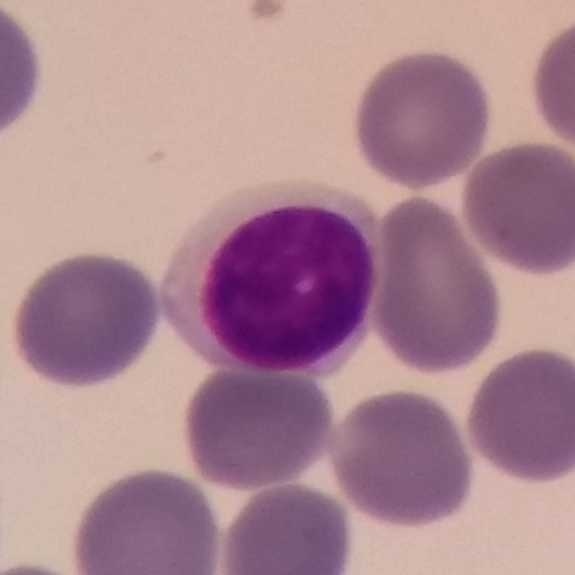
Q: What is the morphological classification of this cell?
A: It is a lymphocyte.